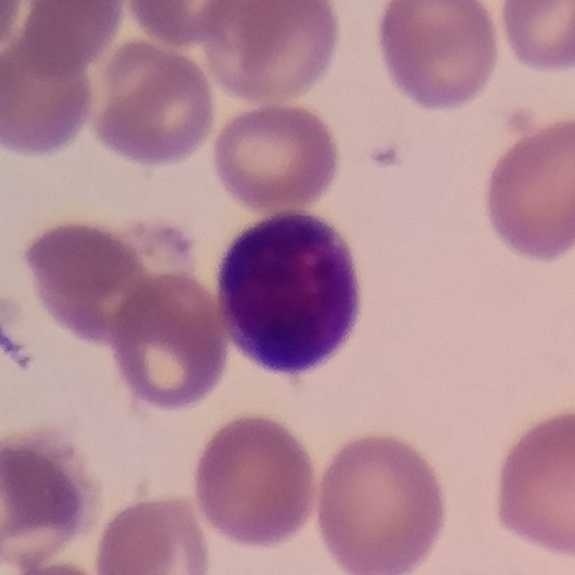 Context: Single-cell crop; peripheral blood smear; imaged at 100×.

White blood cell type — lymphocyte.